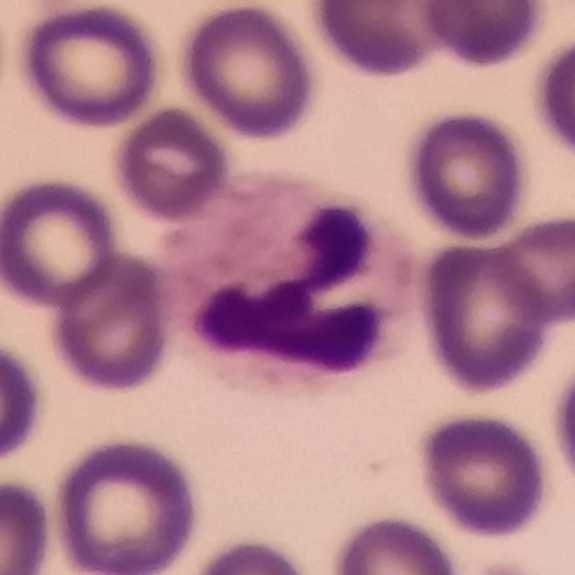
From a peripheral blood smear: a neutrophil granulocyte.